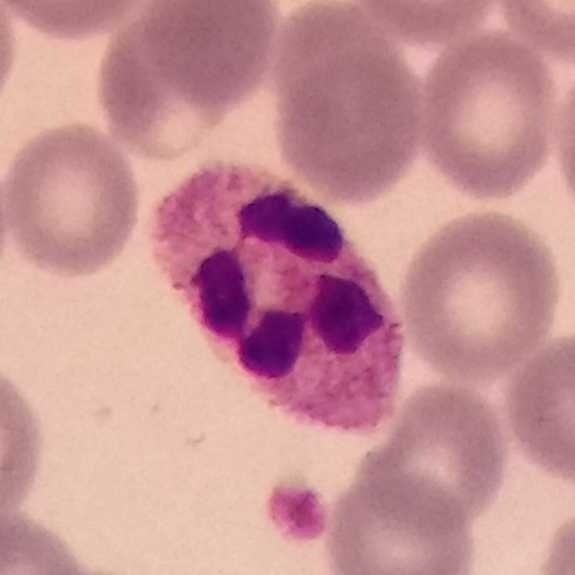

A neutrophil granulocyte on a peripheral blood smear.